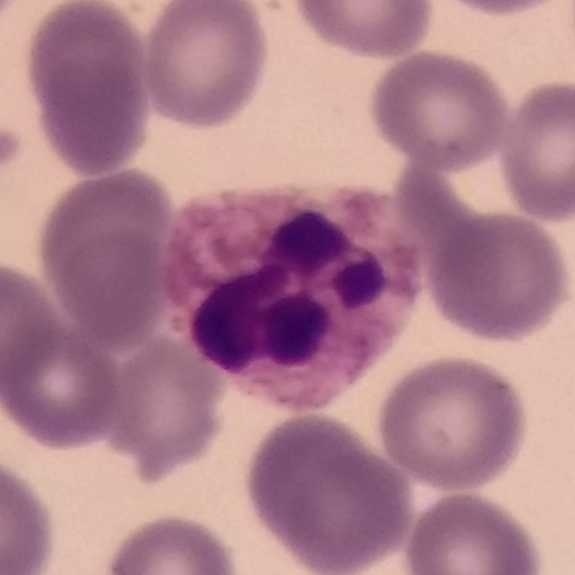
Specimen: peripheral blood smear.
White blood cell type: neutrophilic granulocyte.
Lineage: myeloid.
Magnification 100×.